Peripheral blood smear · imaged at 100× — 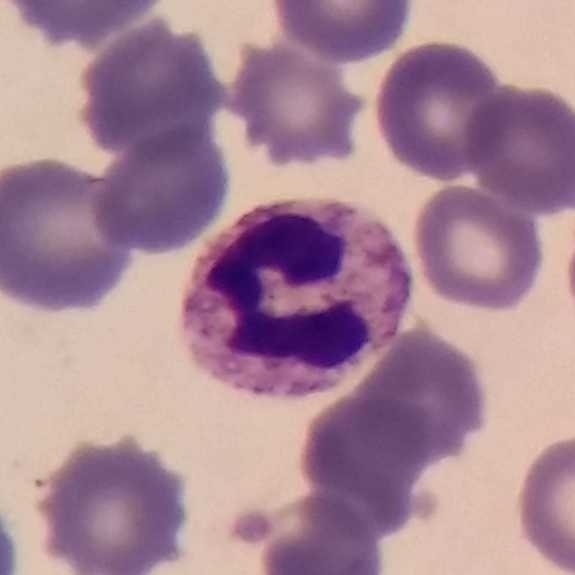Specimen: peripheral blood film.
Cell: neutrophil granulocyte.
Lineage: myeloid.